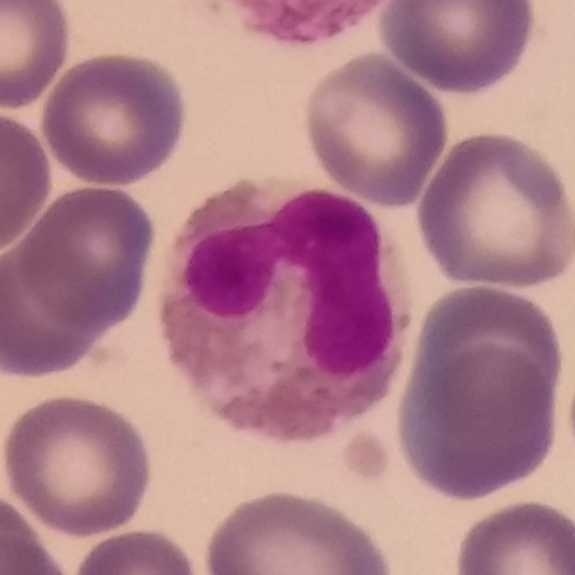Peripheral blood smear.

The white blood cell in this image is an eosinophilic granulocyte.